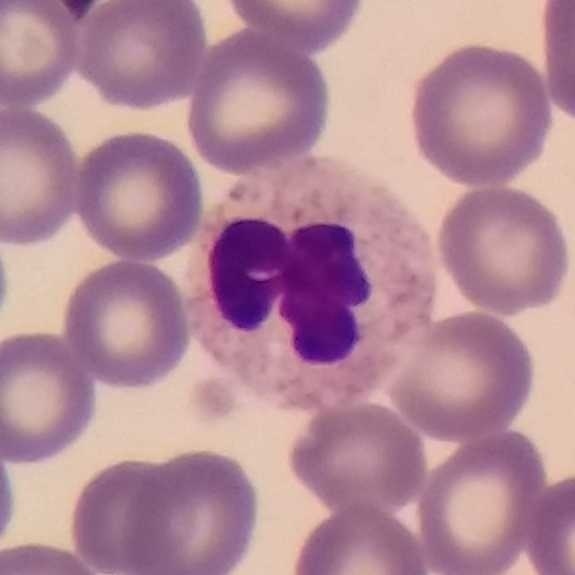

Image: Peripheral blood smear.
Neutrophilic granulocyte.